Single-cell field; peripheral blood smear:
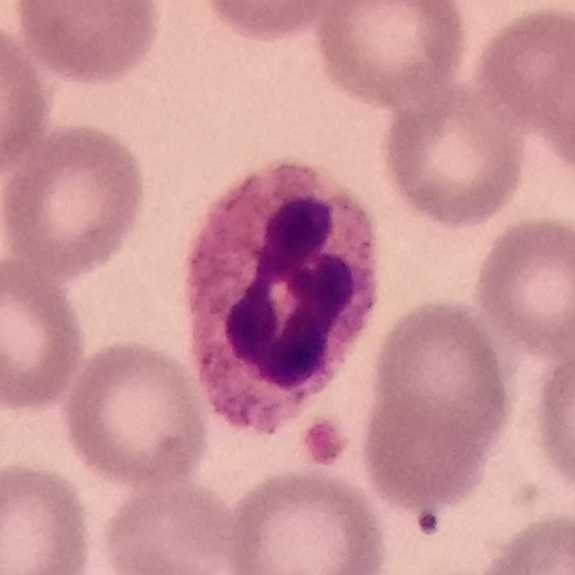
Q: What is the morphological classification of this cell?
A: This is a neutrophil.